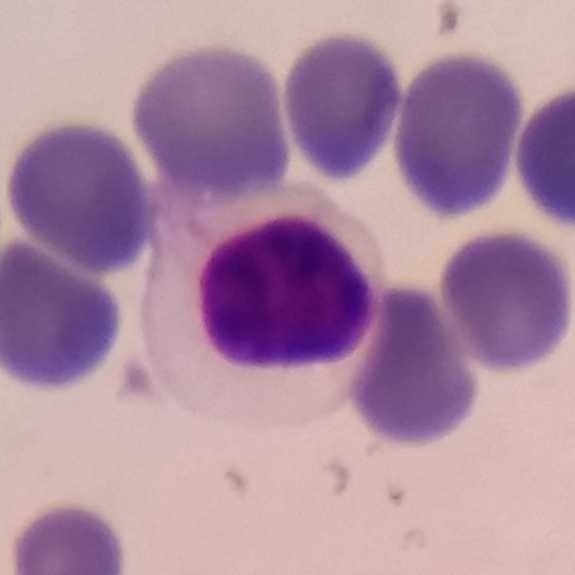Acquisition: Peripheral blood smear. Magnification 100×. Single-cell field.
A lymphocyte.